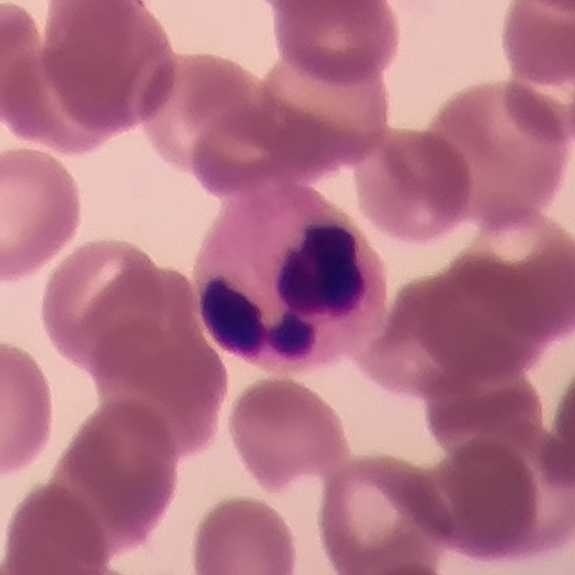 Context: Peripheral blood film · 575×575 px. A neutrophil.